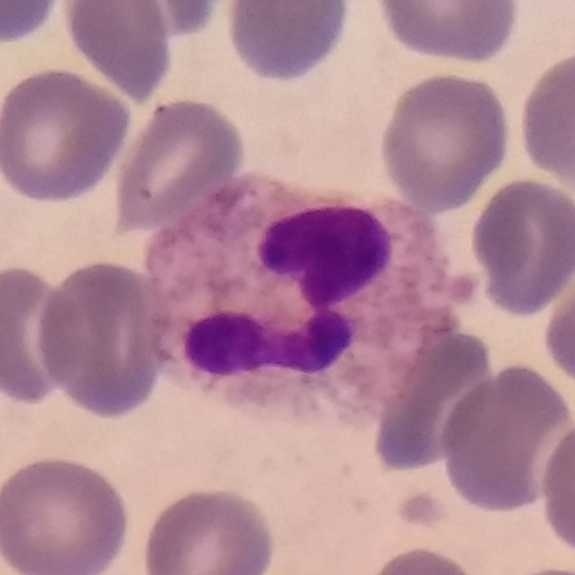 White blood cell type — neutrophilic granulocyte.
Acquisition: 100× magnification; peripheral blood film; image size 575×575.